Peripheral blood film. Smartphone camera mounted on the microscope eyepiece.
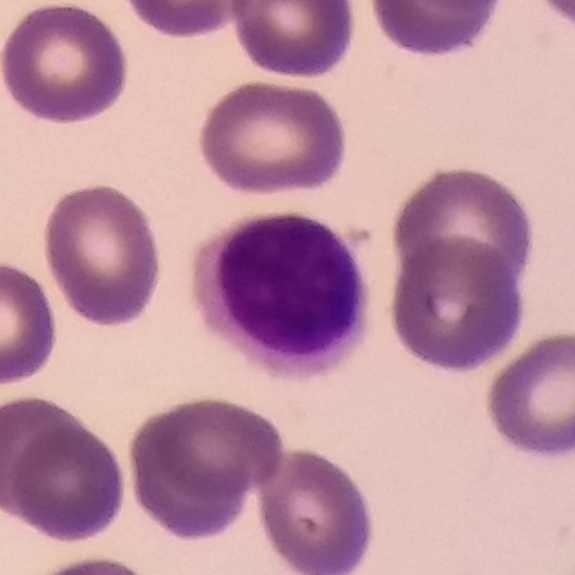

The morphological class is lymphocyte.